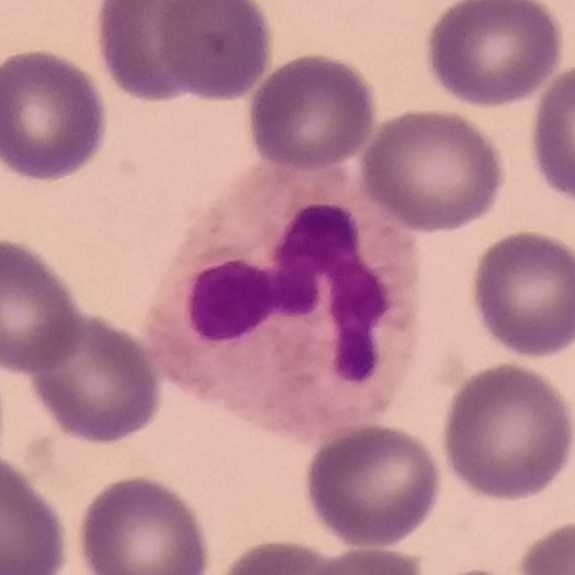 Acquisition: Peripheral blood film.
Q: What cell is this?
A: This is a neutrophil granulocyte.